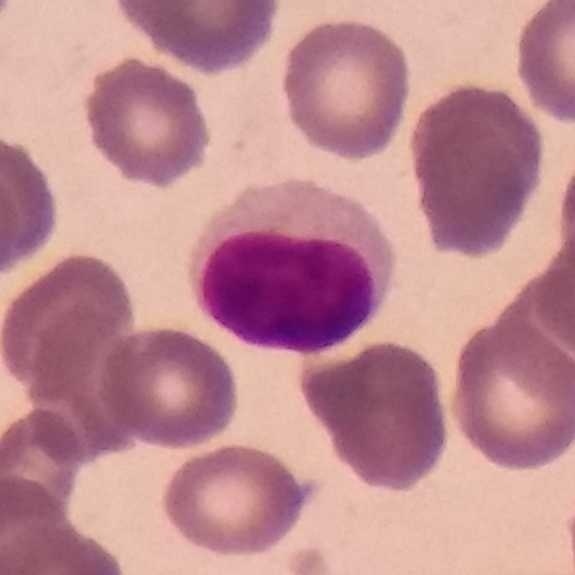 The cell type is lymphocyte.

Peripheral blood film. Giemsa-stained. Smartphone photomicrograph.